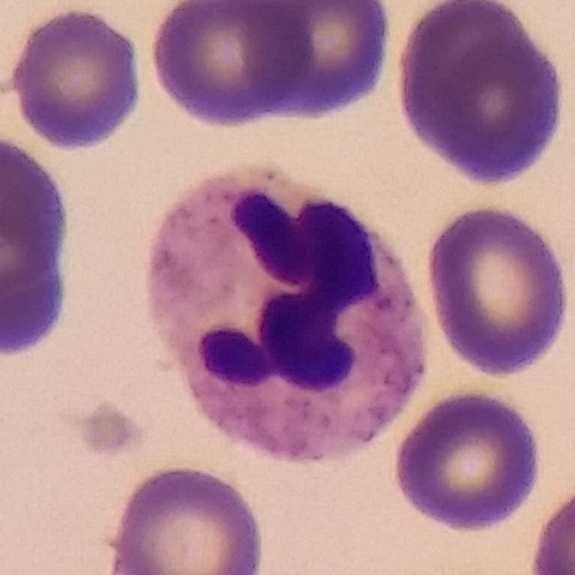Context: Peripheral blood smear.
Q: Classify this leukocyte.
A: A neutrophilic granulocyte.